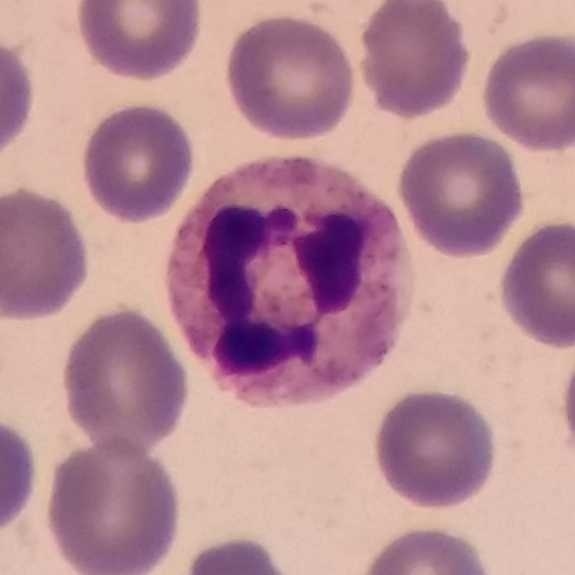

Cell: neutrophil.